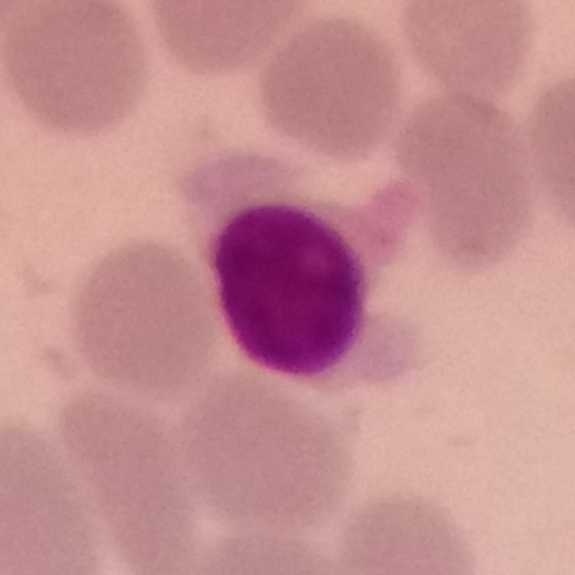

Image: Peripheral blood film.

Q: What is the morphological classification of this cell?
A: It is a lymphocyte.